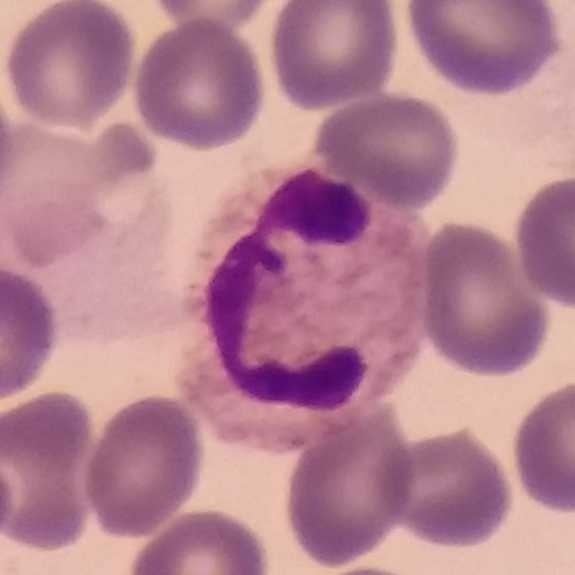

Specimen: peripheral blood smear.
Cell type: neutrophilic granulocyte.
Lineage: myeloid.